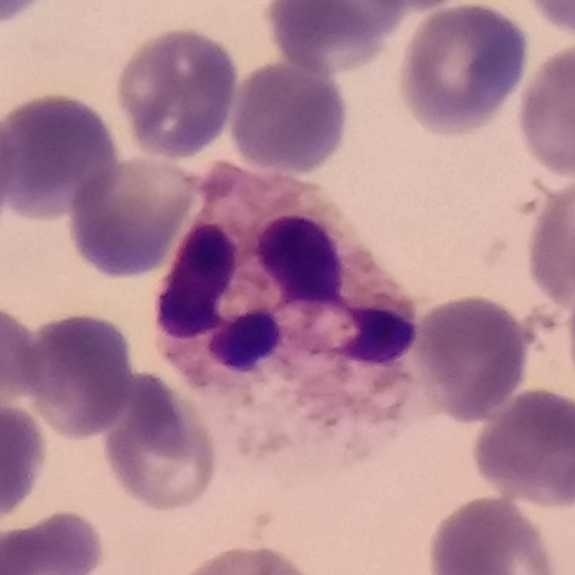 Preparation: Peripheral blood smear.

Classification = neutrophil.